Peripheral blood film · cropped to one leukocyte: 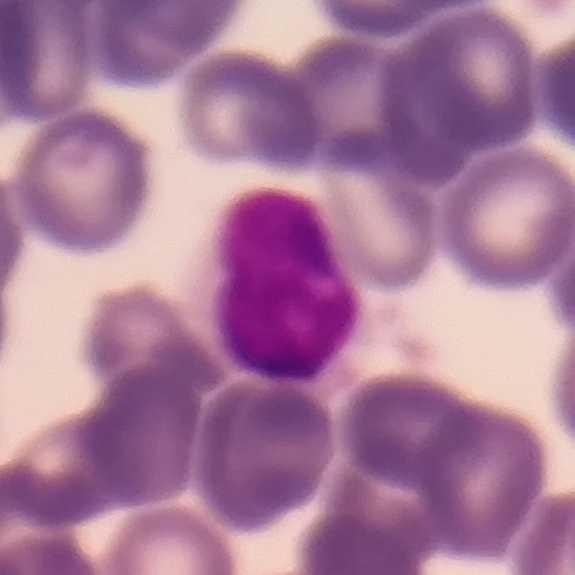
Cell: lymphocyte.